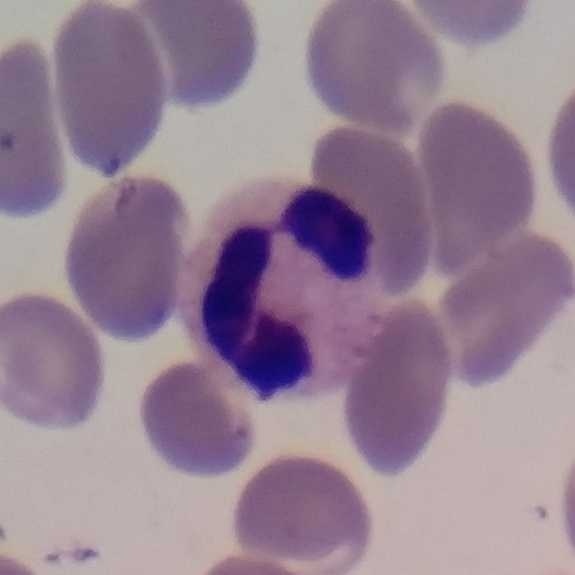

575 by 575 pixels; cropped to one leukocyte; peripheral blood film. This is a neutrophil.